Peripheral blood film; smartphone photomicrograph; image size 575×575.
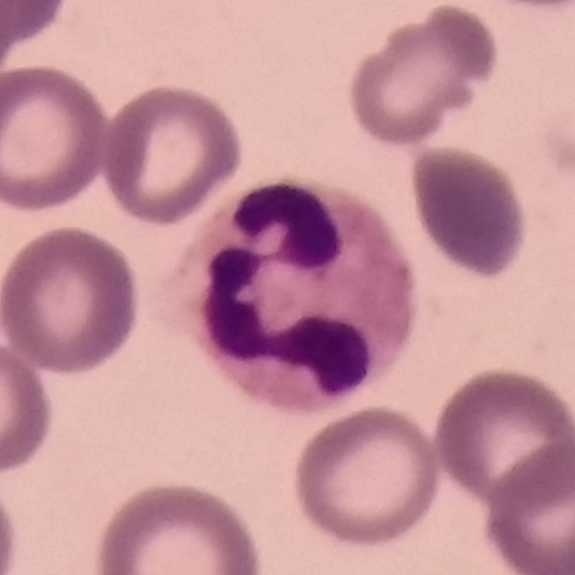
The cell shown is a neutrophilic granulocyte.